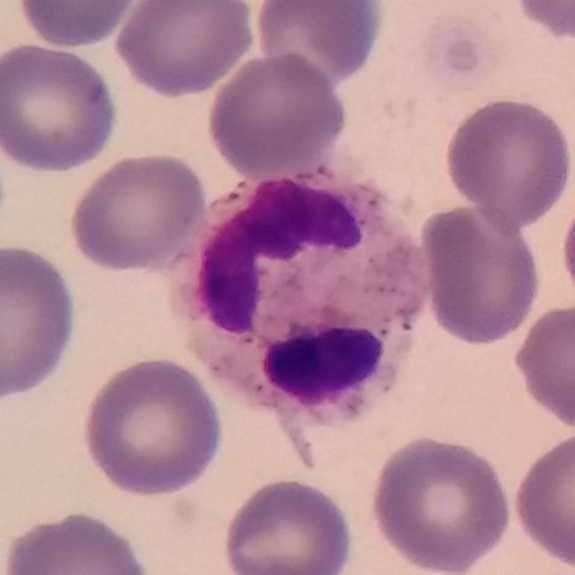
Identified as a neutrophil granulocyte.